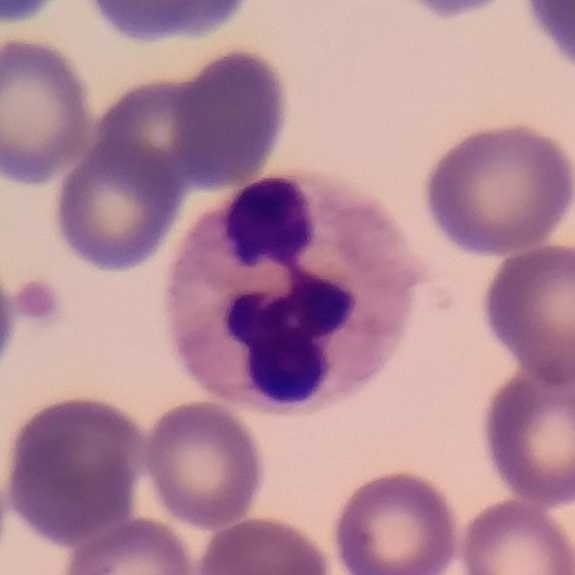

Showing a neutrophil. Context: Peripheral blood smear.